Peripheral blood film: 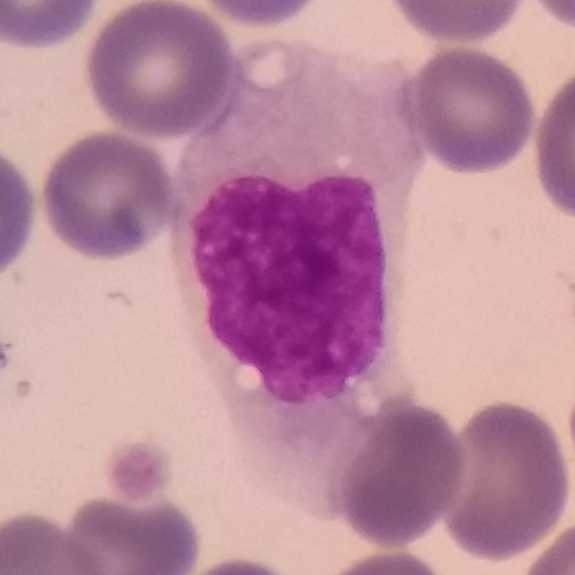 White blood cell type = monocyte.